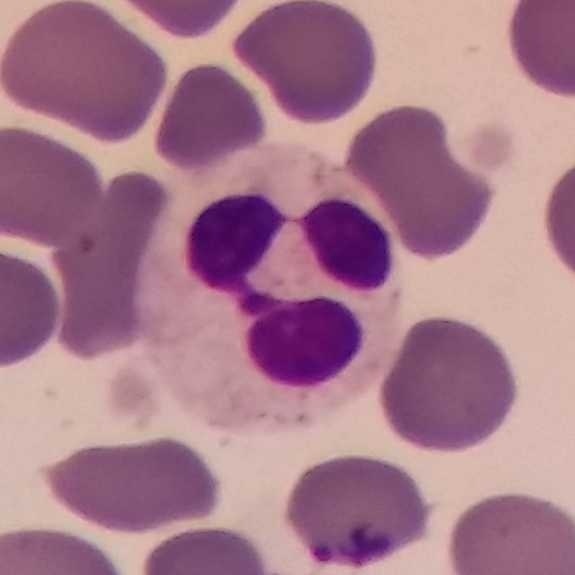
Specimen: peripheral blood film.
Morphological class: neutrophilic granulocyte.
Lineage: myeloid.